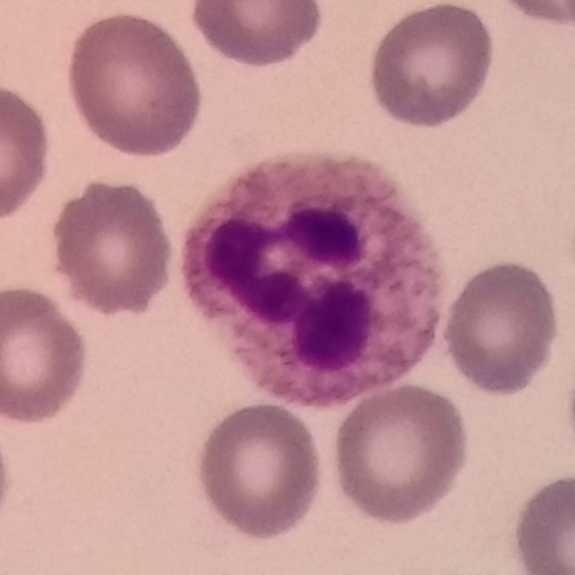Cell type = neutrophil granulocyte.

Preparation: Cropped to one leukocyte; peripheral blood smear.